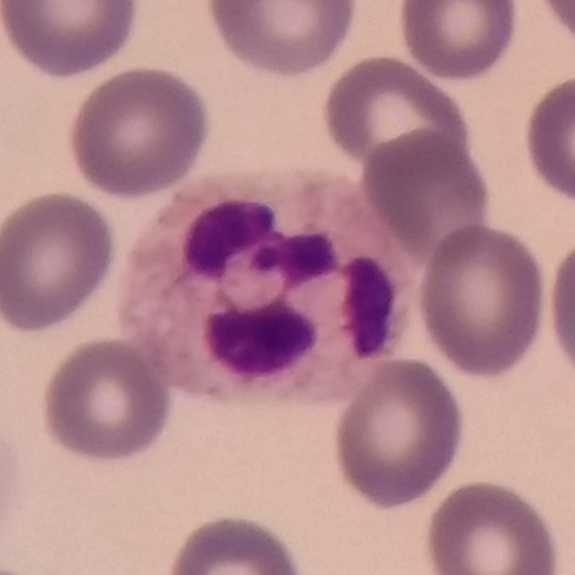

Morphology consistent with a neutrophil granulocyte. Preparation: Stained with Giemsa · peripheral blood film.